Peripheral blood film:
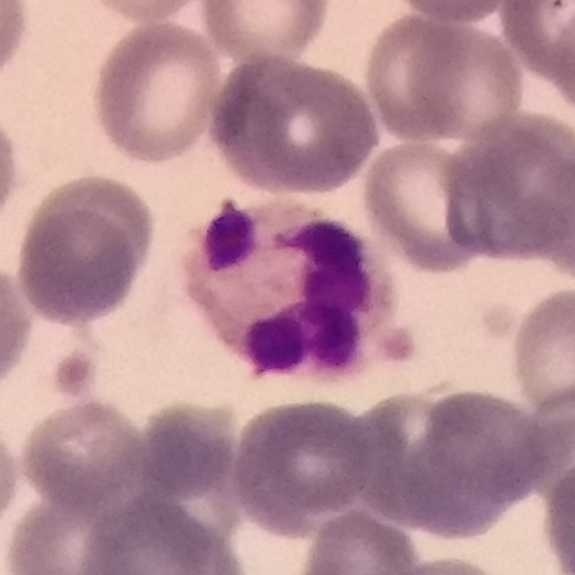
Specimen: peripheral blood film.
Morphological class: neutrophil.